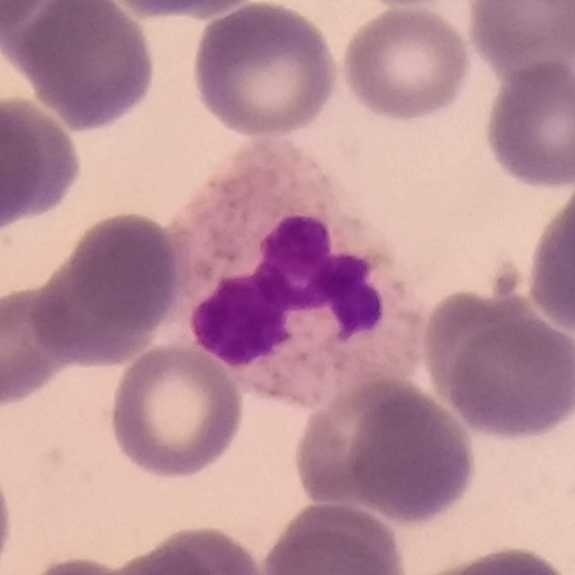

This is a neutrophil granulocyte.